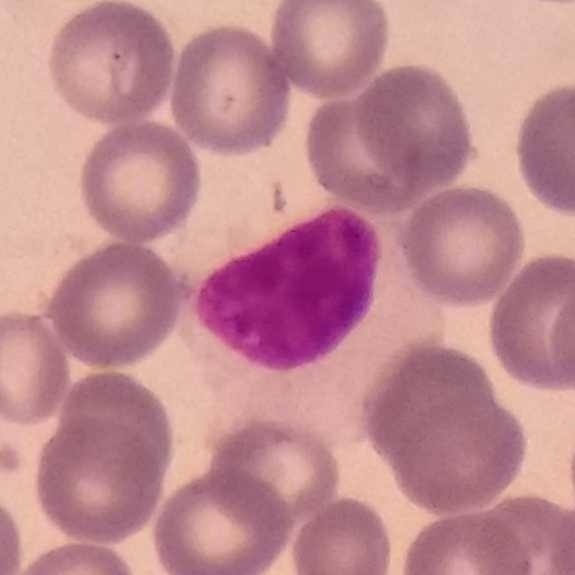 Single white blood cell cropped from the smear photograph. Peripheral blood film.
Q: What is shown here?
A: A lymphocyte.